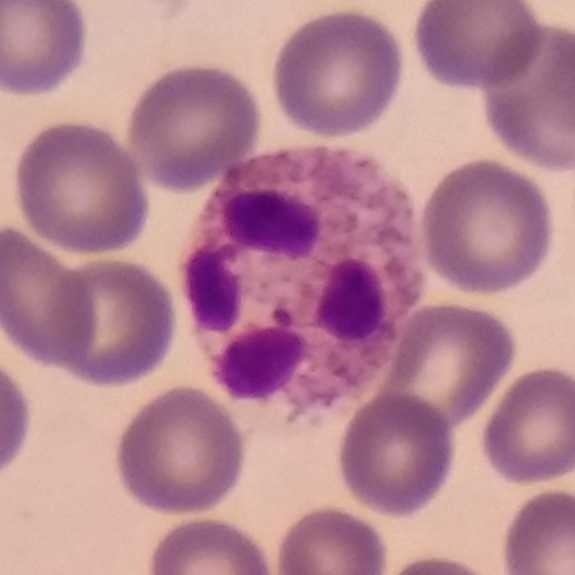Image: Image size 575×575. Peripheral blood film.

Cell: neutrophilic granulocyte.